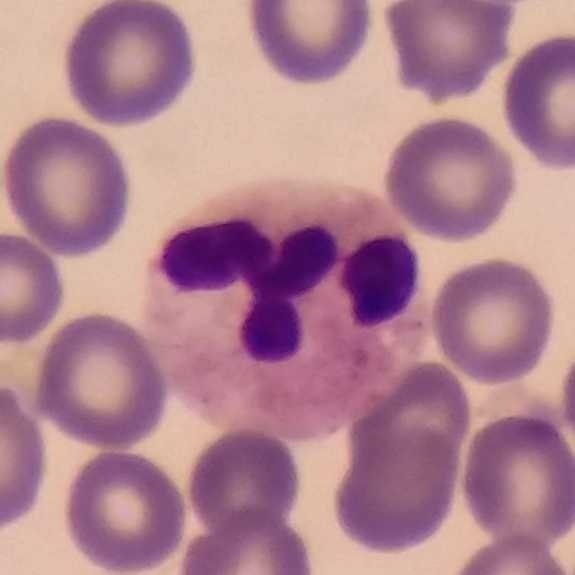Imaged at 100×. Specimen: peripheral blood film.
Cell type: neutrophil.
Lineage: myeloid.